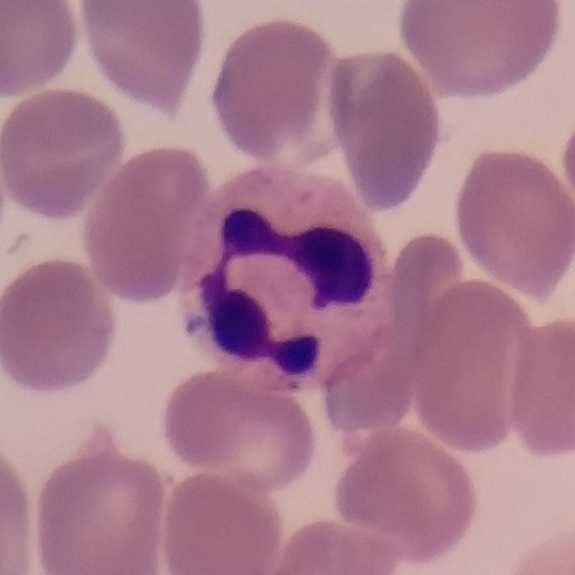
Cell: neutrophil granulocyte. Image: Peripheral blood smear; phone-camera image taken through the microscope ocular.